Peripheral blood smear:
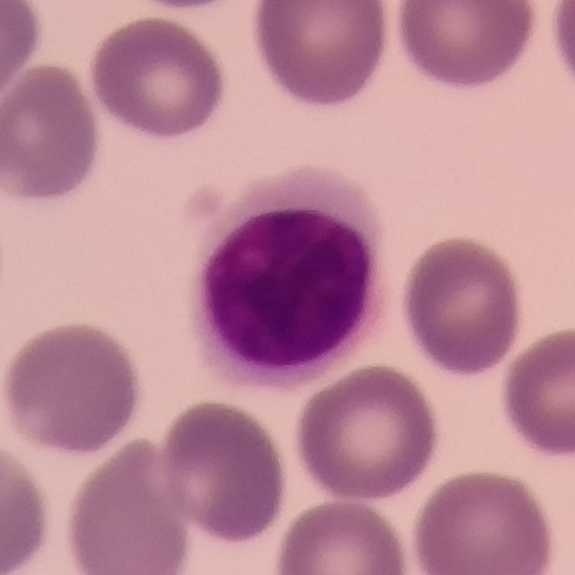 Lymphocyte.